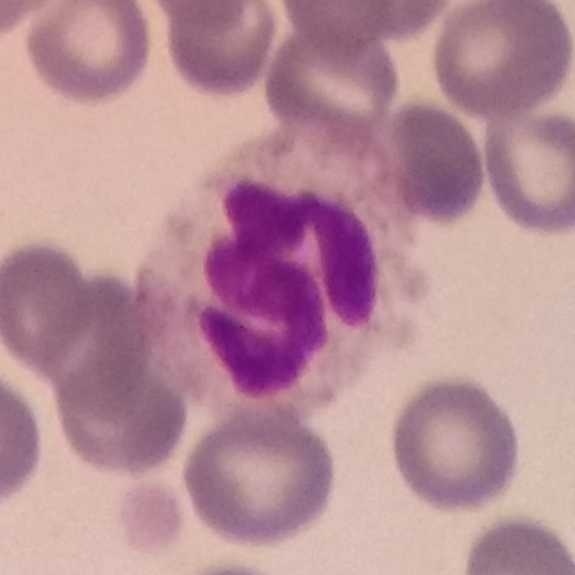
Impression → neutrophil. Acquisition: Smartphone camera mounted on the microscope eyepiece · peripheral blood film.